Peripheral blood film · 575 by 575 pixels
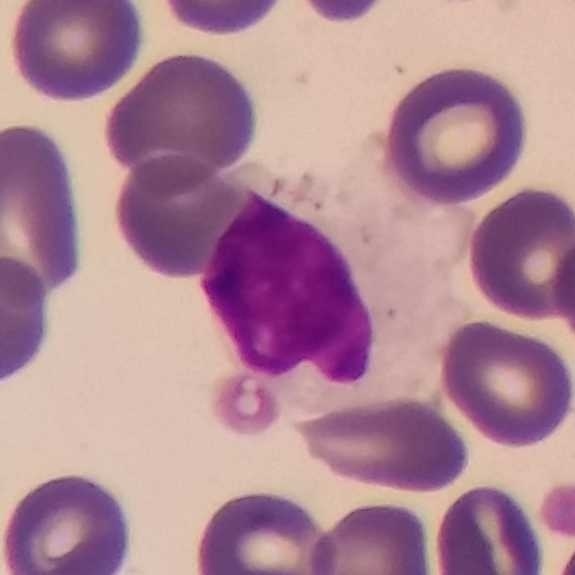White blood cell type — lymphocyte.